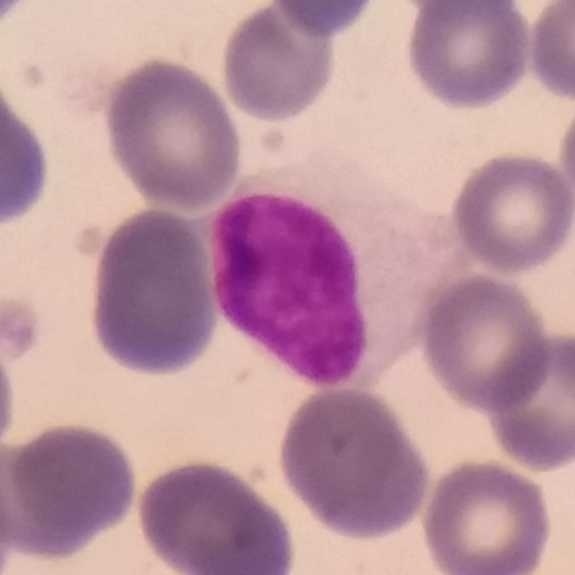 Image: Peripheral blood smear.

White blood cell type — lymphocyte.